575×575; peripheral blood film; phone-camera image taken through the microscope ocular:
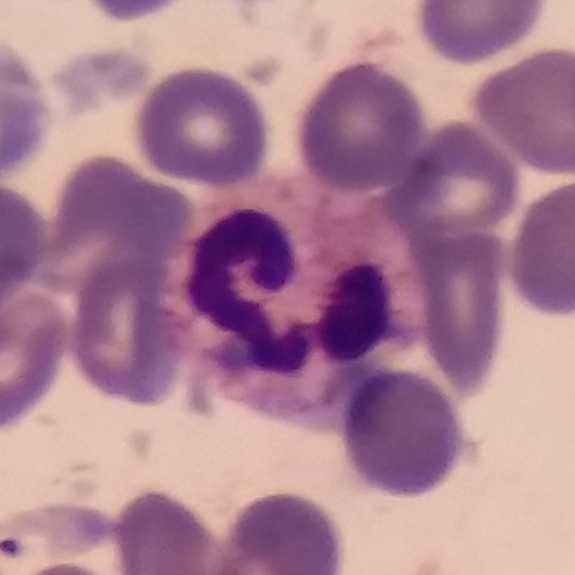 Cell type = neutrophil granulocyte.